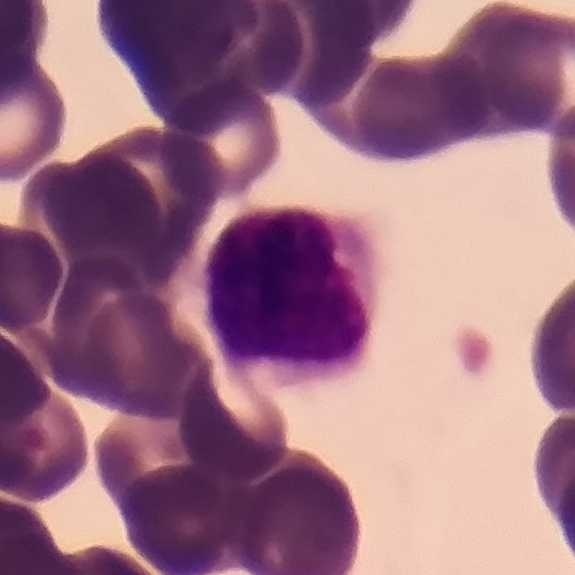

The cell is lymphocyte.